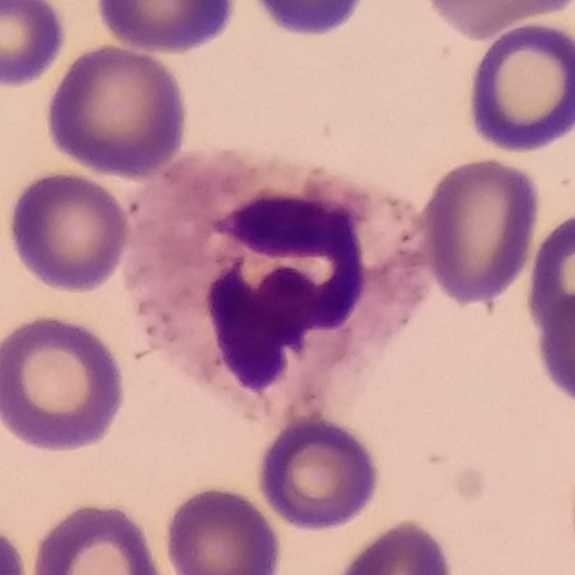
{"cell_type": "neutrophil granulocyte", "lineage": "myeloid"}